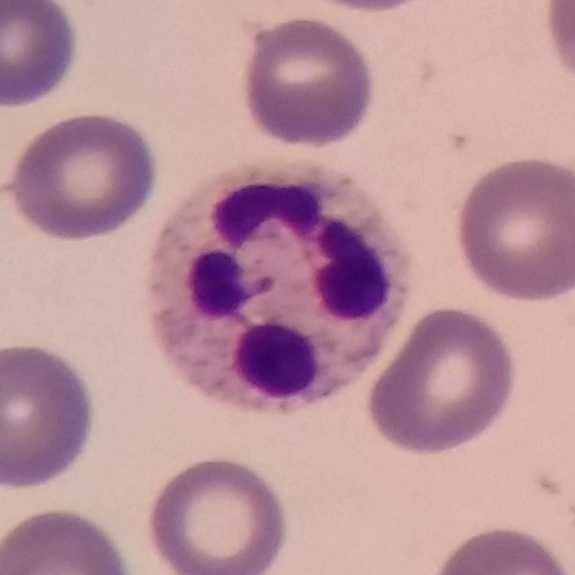Morphological class: neutrophil.
Image: Peripheral blood film · smartphone camera mounted on the microscope eyepiece · Giemsa stain.